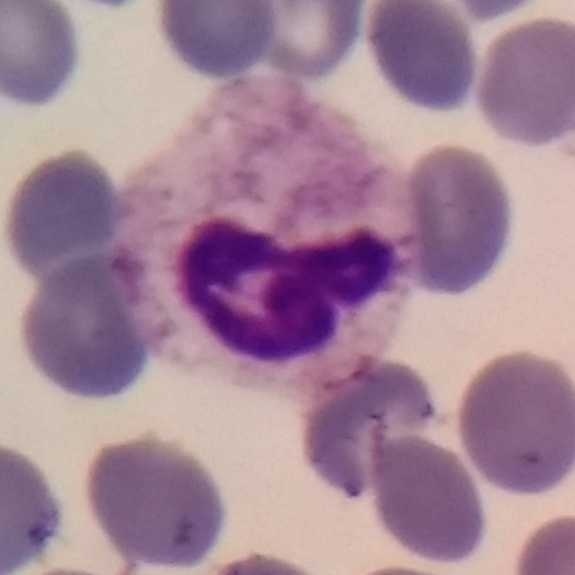

Smartphone photomicrograph; peripheral blood smear. Q: What is shown here?
A: A neutrophil granulocyte.